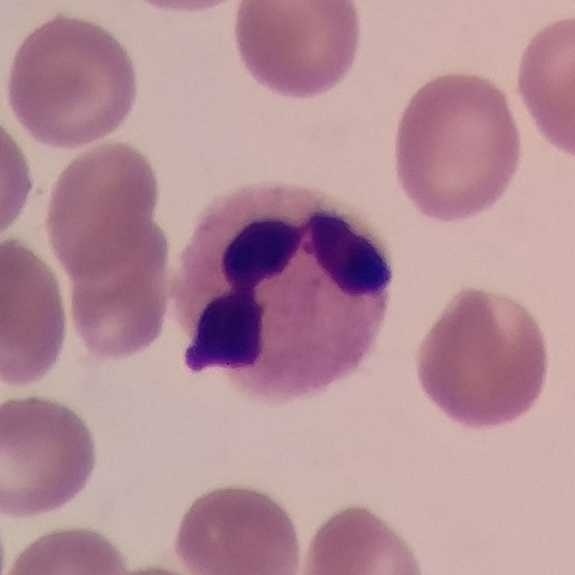The cell shown is a neutrophilic granulocyte. Preparation: Peripheral blood film. 100× magnification.